Peripheral blood smear · phone-camera image taken through the microscope ocular: 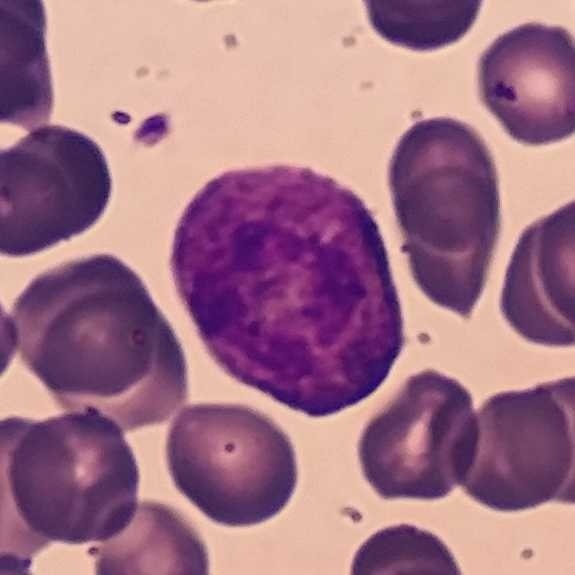

Q: Classify this leukocyte.
A: Neutrophil granulocyte.